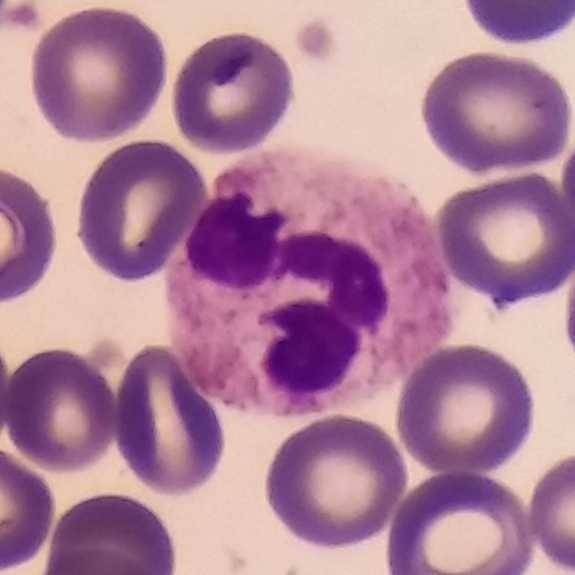Specimen: peripheral blood film.
Classification: neutrophilic granulocyte.